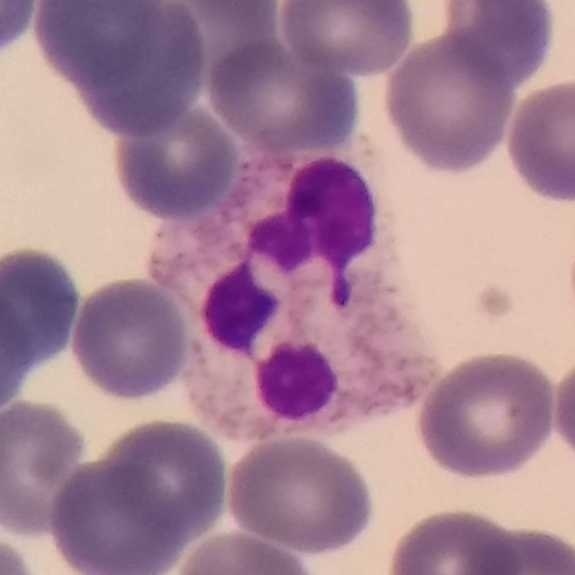

Cell type = neutrophilic granulocyte. Image: Peripheral blood smear. Photographed through a light microscope with a smartphone camera.